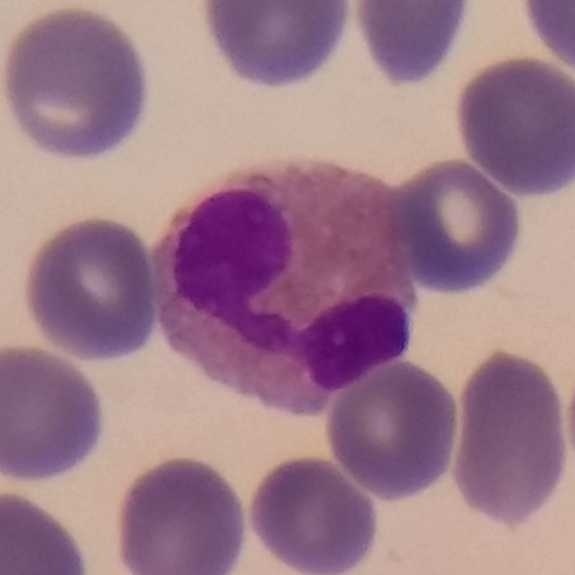Cell type — eosinophil. Preparation: Peripheral blood film · Giemsa-stained.